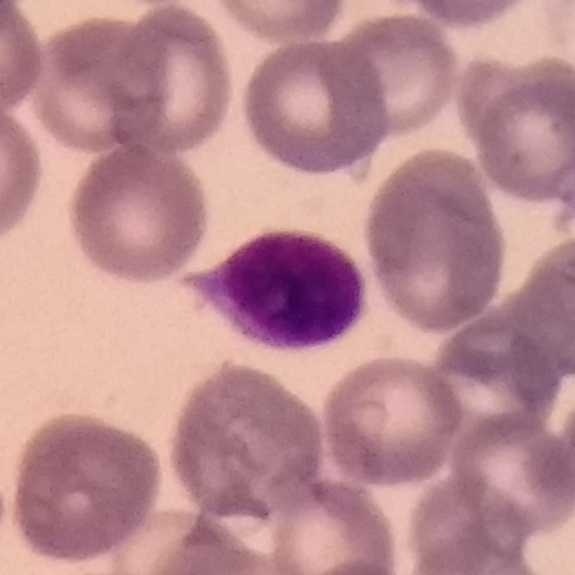White blood cell from a peripheral blood smear: lymphocyte.